Peripheral blood smear — 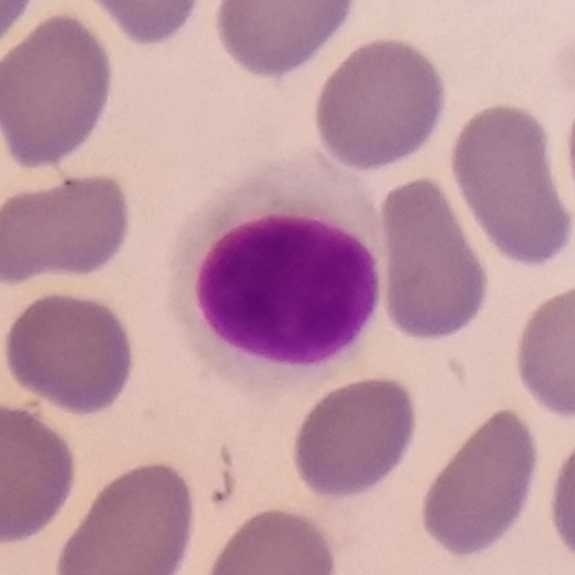
The white blood cell in this image is a lymphocyte.